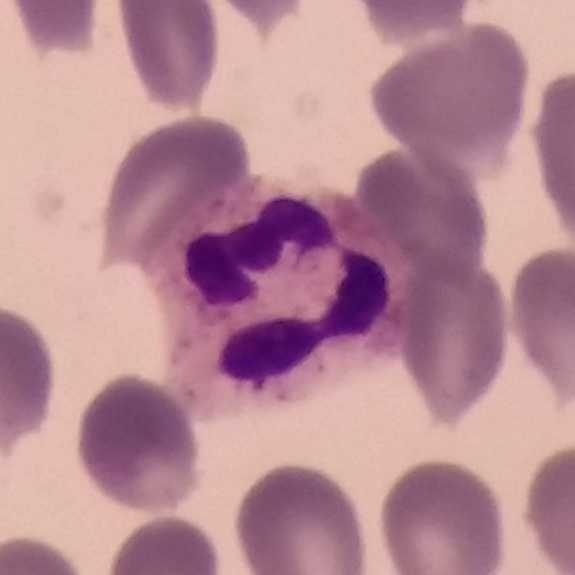Impression — neutrophilic granulocyte.